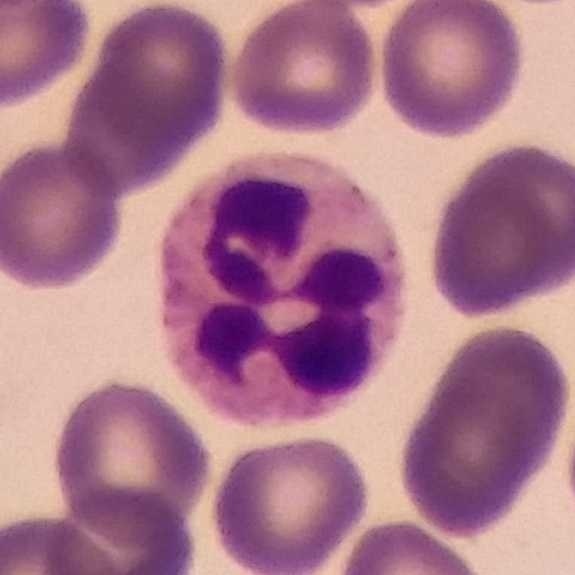White blood cell type: neutrophil granulocyte.